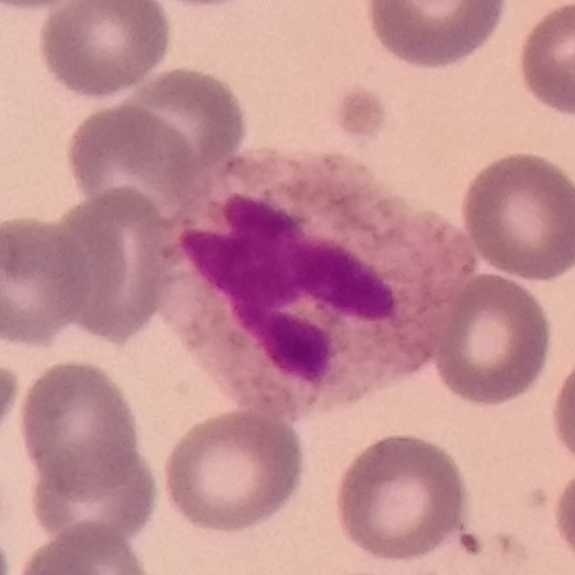

Morphology — neutrophil. Acquisition: Peripheral blood film. Giemsa stain. Photographed through a light microscope with a smartphone camera.